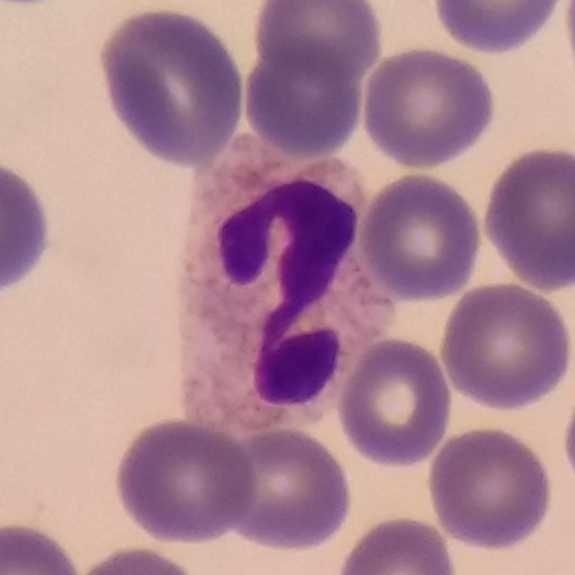 Classification — neutrophil granulocyte.
Peripheral blood smear.